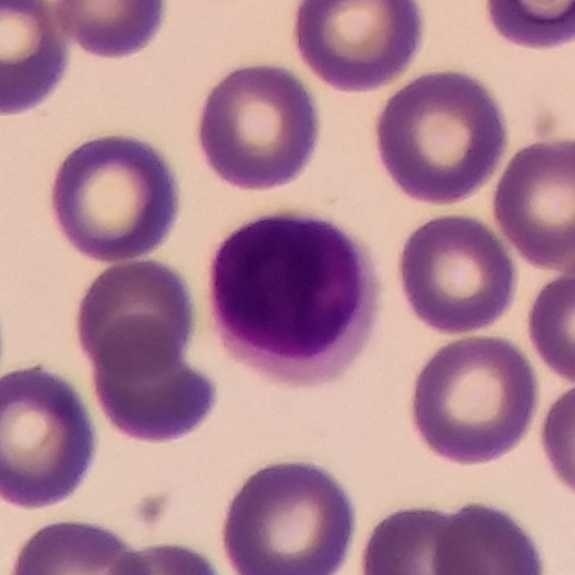

Cell type: lymphocyte.
Peripheral blood smear · 100× magnification.